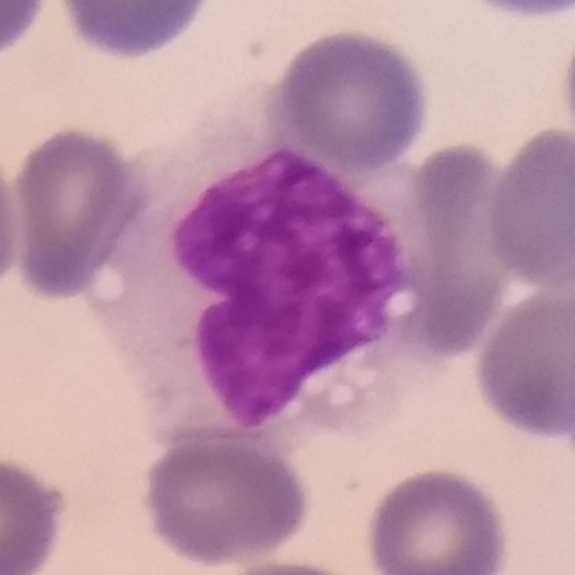{"cell_type": "monocyte", "lineage": "myeloid"}